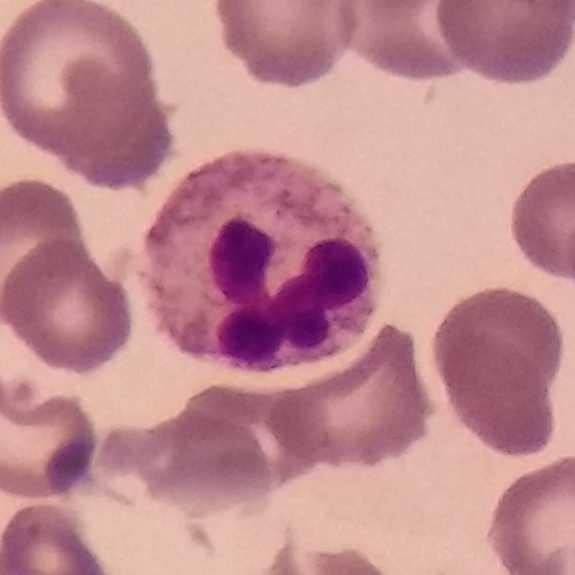 Specimen: peripheral blood film.
Cell type: neutrophil granulocyte.